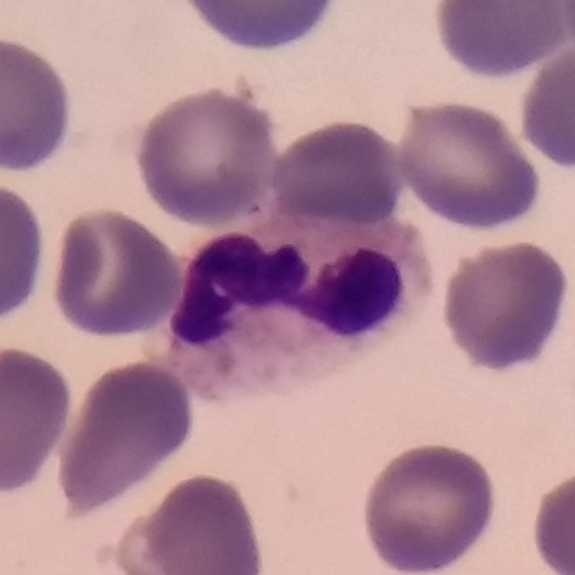
Acquisition: Peripheral blood film. A neutrophilic granulocyte.